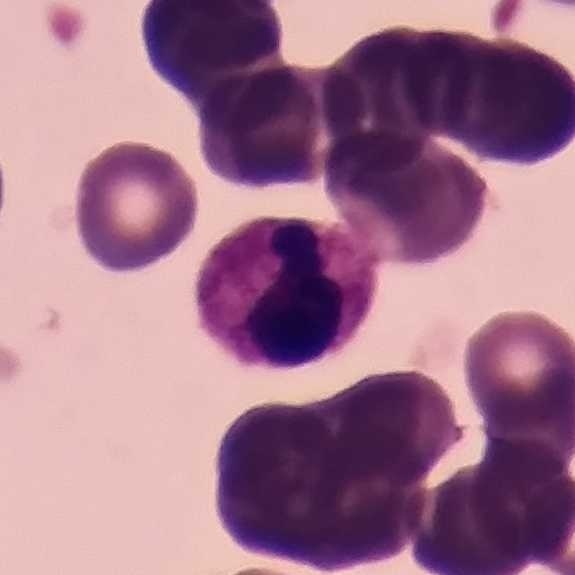Peripheral blood smear showing a neutrophilic granulocyte.